Peripheral blood film: 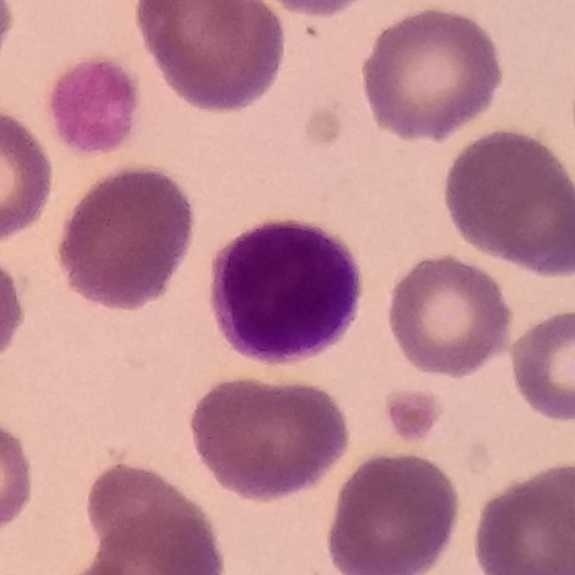

Q: Which cell type is shown here?
A: It is a lymphocyte.